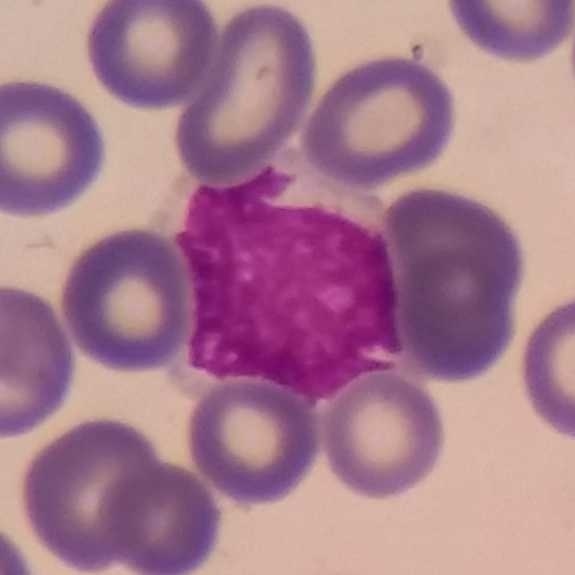Image: Image size 575×575; peripheral blood film.
Q: What type of cell is this?
A: Monocyte.